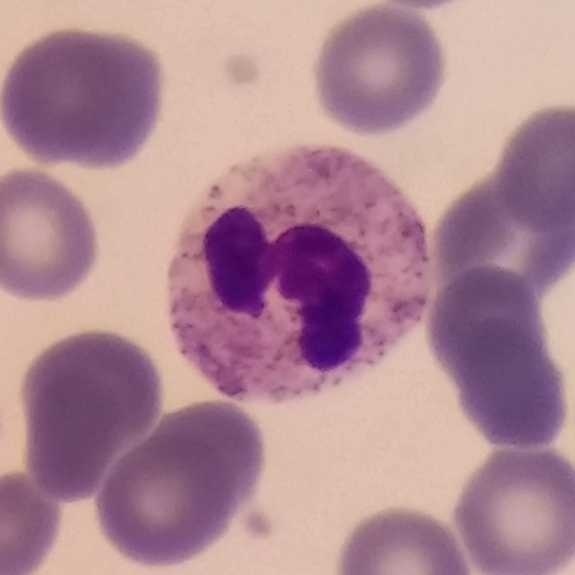
Identified as a neutrophilic granulocyte.

Acquisition: Peripheral blood smear · single-cell crop · image size 575×575.